Peripheral blood smear — 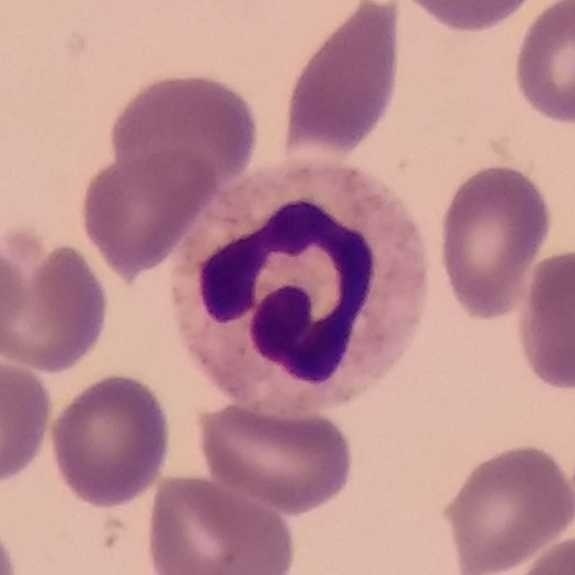
The white blood cell in this image is a neutrophil.